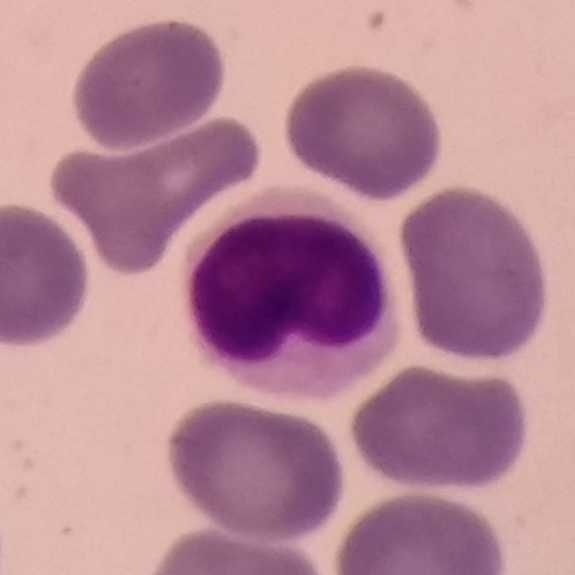 Single cell identified as a lymphocyte.